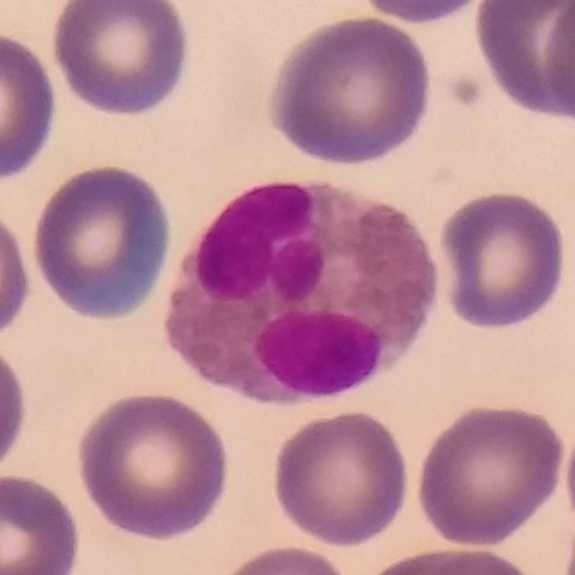

Image: Peripheral blood smear · image size 575×575.
Q: Identify the cell.
A: Eosinophil.